Peripheral blood smear: 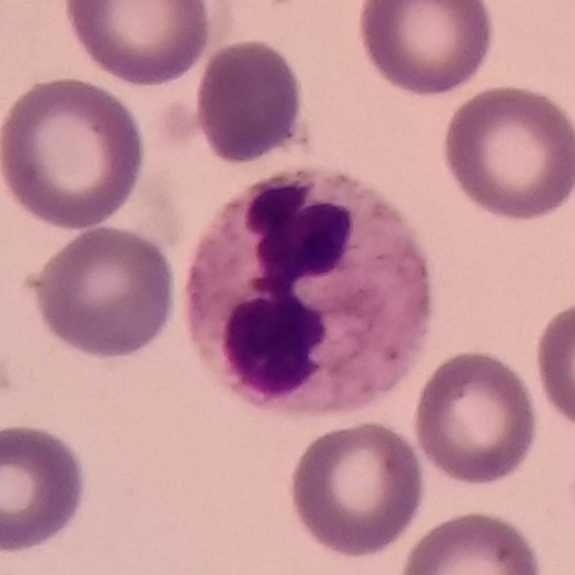Neutrophilic granulocyte.